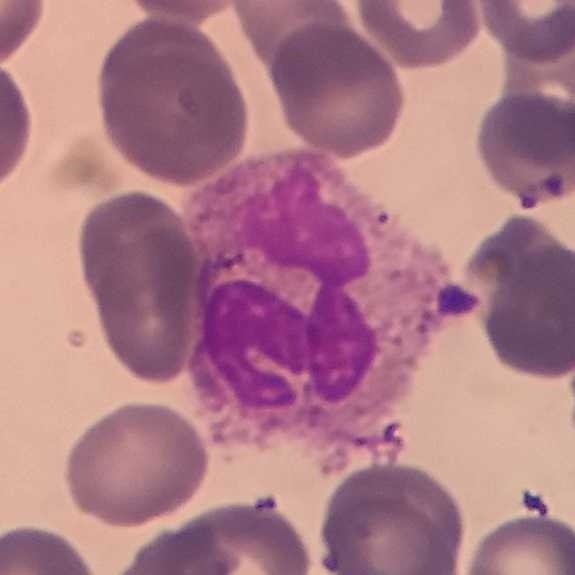Peripheral blood smear; single-cell field; 100× magnification.
Q: What is the morphological classification of this cell?
A: Neutrophilic granulocyte.